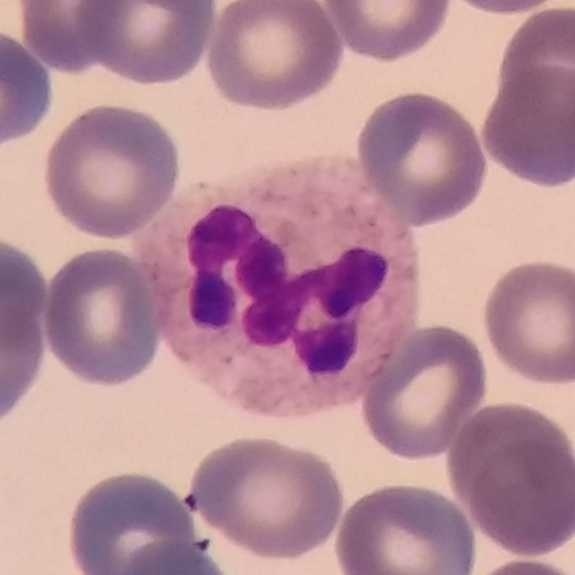Single-cell crop from a peripheral blood smear: neutrophil granulocyte.